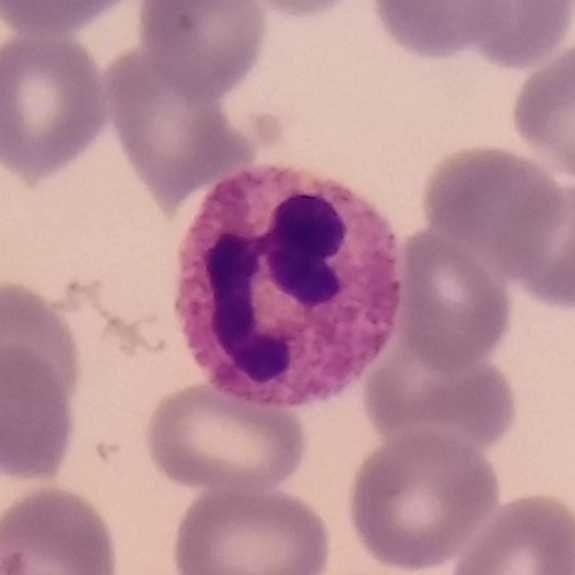575×575; smartphone camera mounted on the microscope eyepiece; peripheral blood smear. The cell shown is a neutrophilic granulocyte.